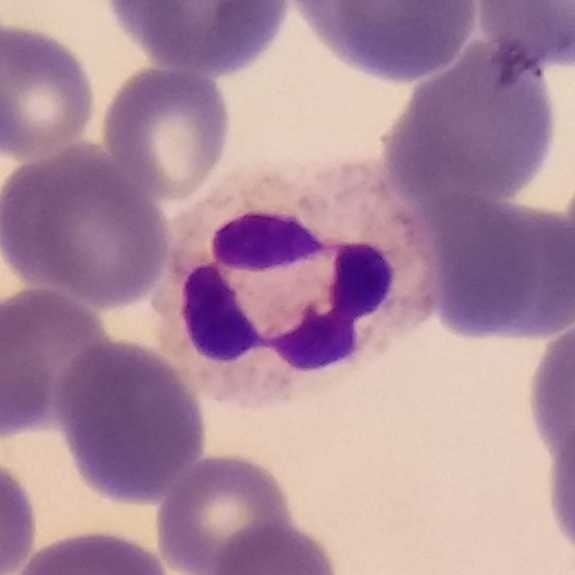 Single cell identified as a neutrophilic granulocyte.

Context: Peripheral blood film.